Smartphone camera mounted on the microscope eyepiece; peripheral blood film.
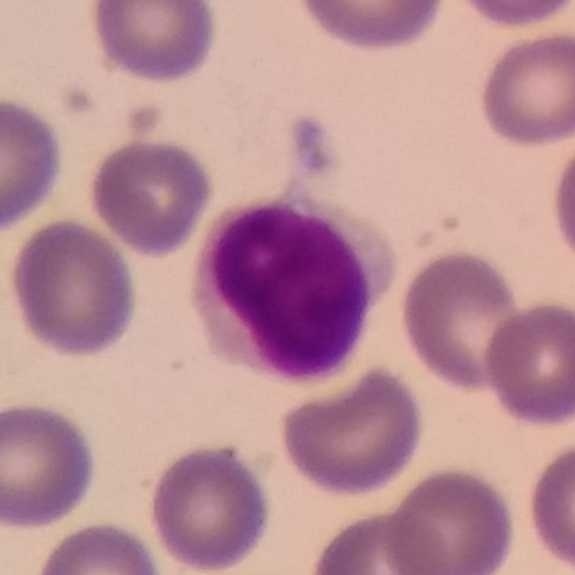
Morphology — lymphocyte.